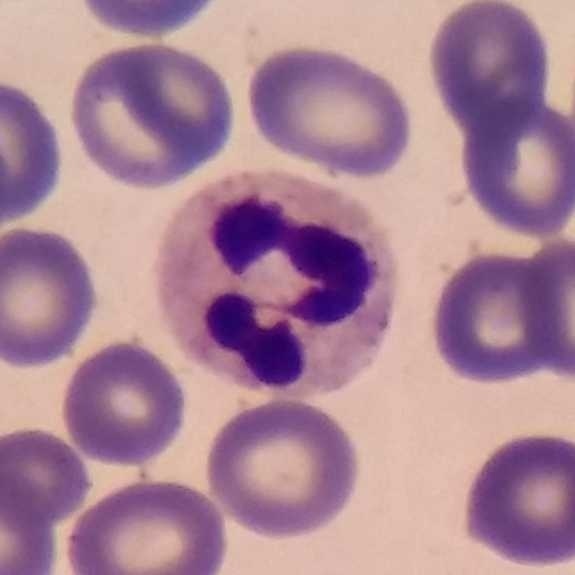
Q: Which cell type is shown here?
A: It is a neutrophil granulocyte.